Smartphone camera mounted on the microscope eyepiece. Peripheral blood smear.
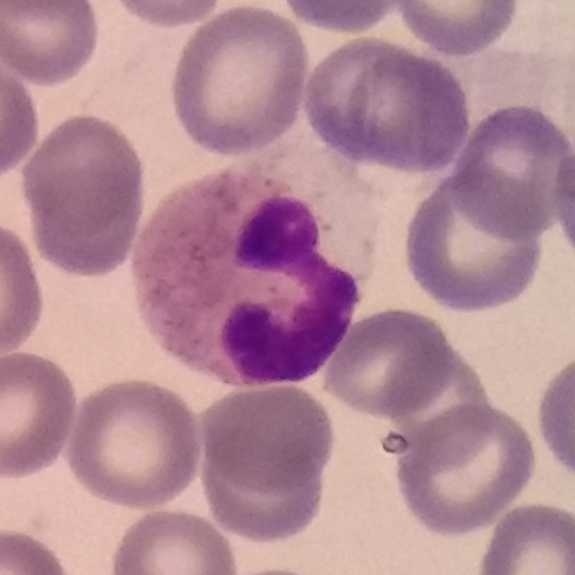Cell type — neutrophil granulocyte.